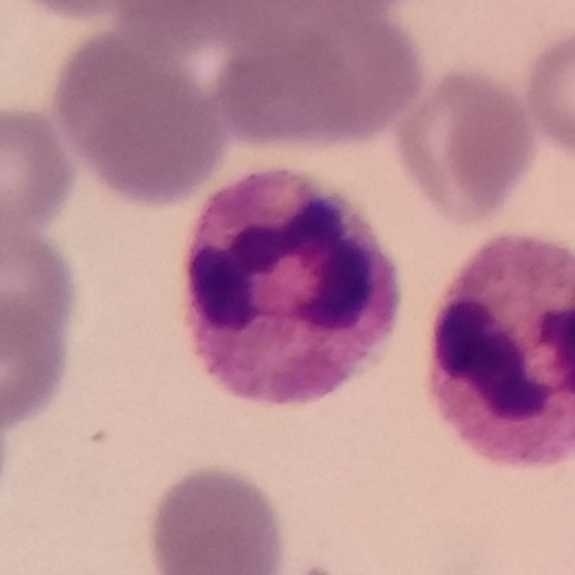 The cell shown is a neutrophilic granulocyte.